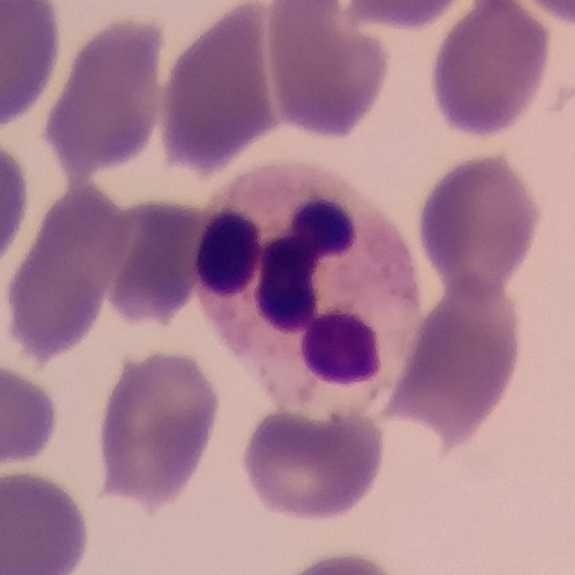

Acquisition: Peripheral blood smear.

Morphology → neutrophil.